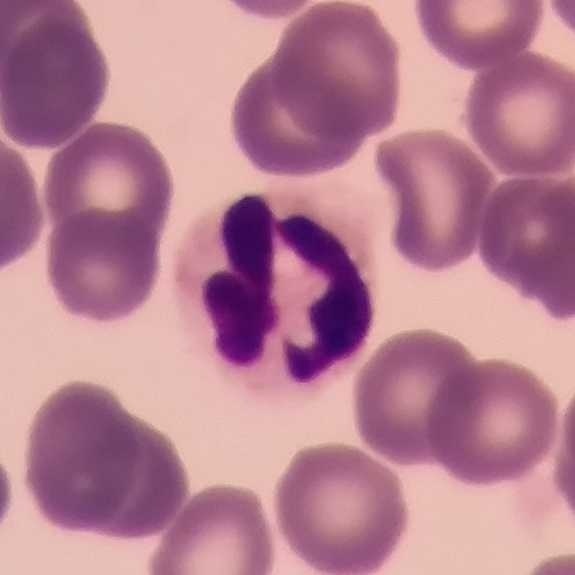
Morphology — neutrophil granulocyte. Peripheral blood film; magnification 100×.